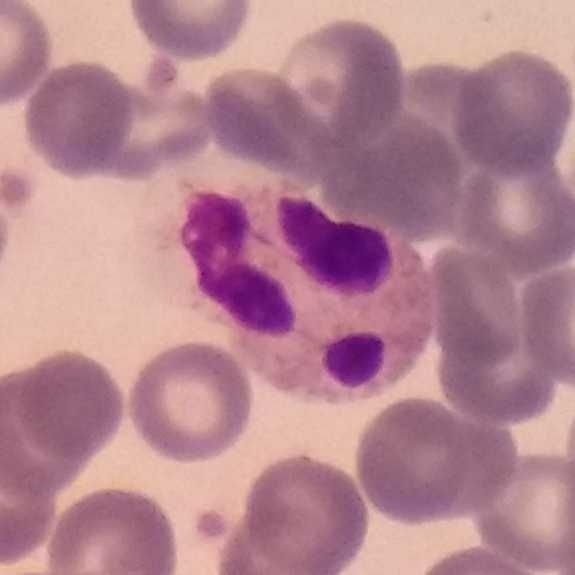Identified as a neutrophil granulocyte. Preparation: Peripheral blood film.